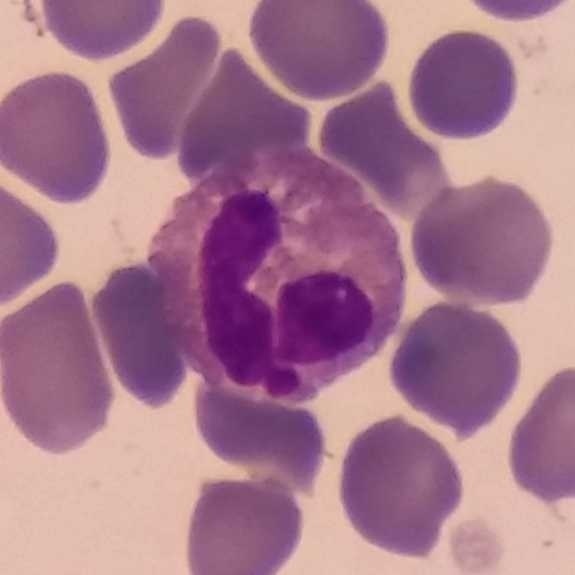

Q: What is the morphological classification of this cell?
A: Eosinophilic granulocyte. Preparation: Peripheral blood film.